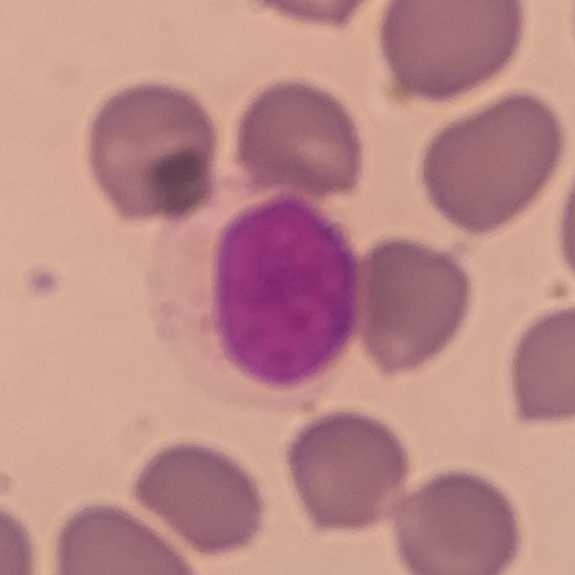Cell — lymphocyte.